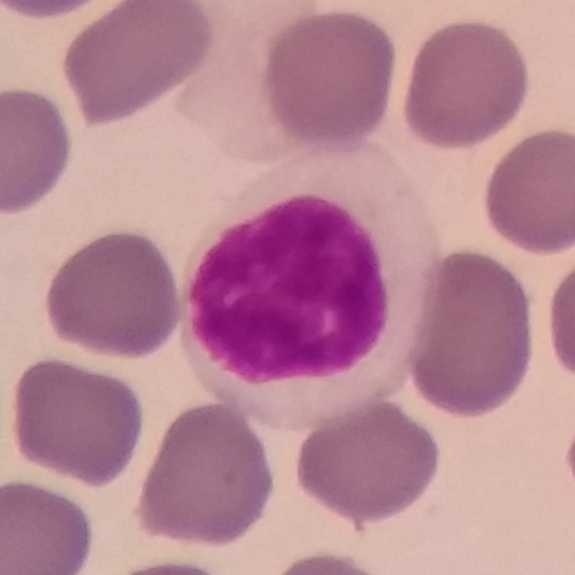

Cell type = lymphocyte.

Image: 575 by 575 pixels · smartphone camera mounted on the microscope eyepiece · peripheral blood smear.